Single-cell field · image size 575×575 · peripheral blood film:
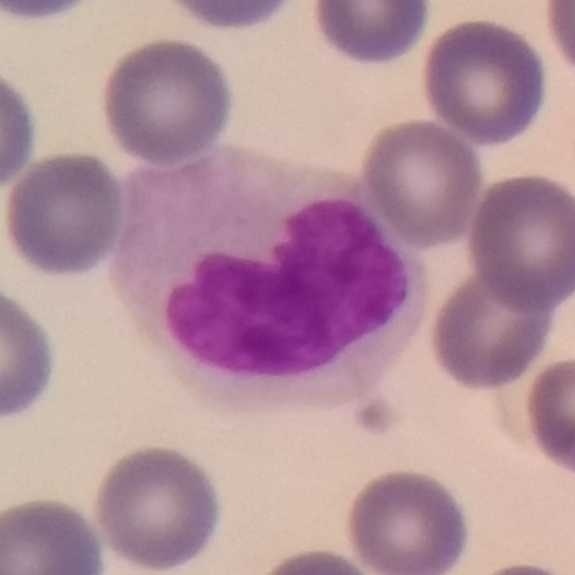
Q: Identify the cell.
A: Monocyte.